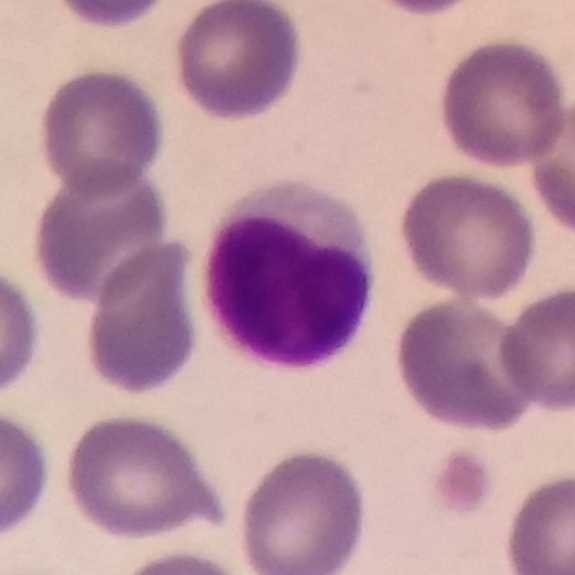

The cell shown is a lymphocyte. Peripheral blood film.